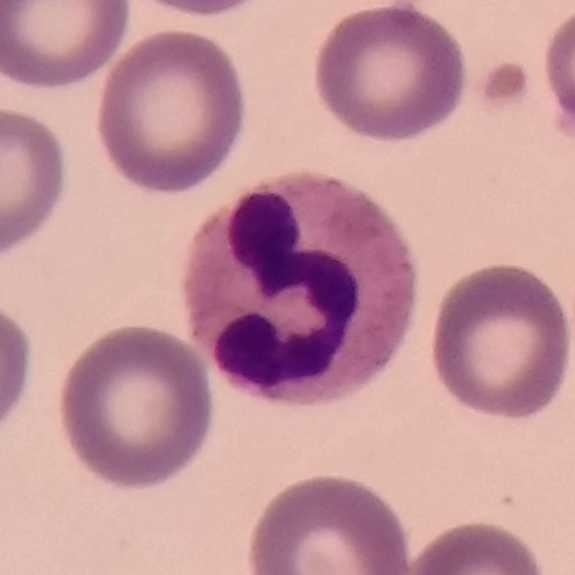 Q: What is the morphological classification of this cell?
A: A neutrophil.

Peripheral blood film. Imaged at 100×.